Peripheral blood smear · 575×575 px · stained with Giemsa.
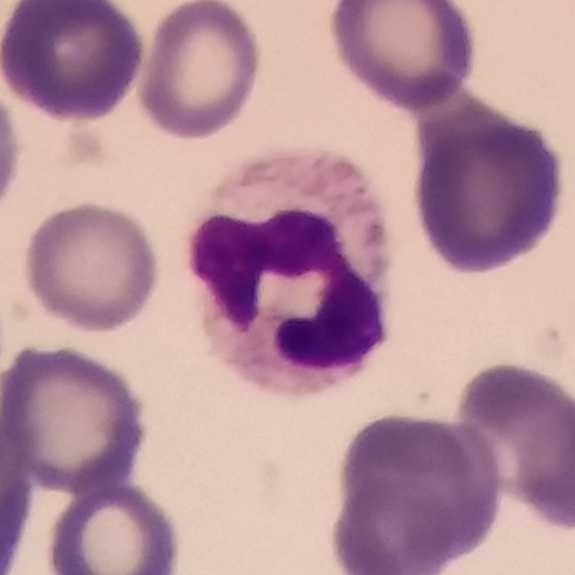 This is a neutrophil granulocyte.